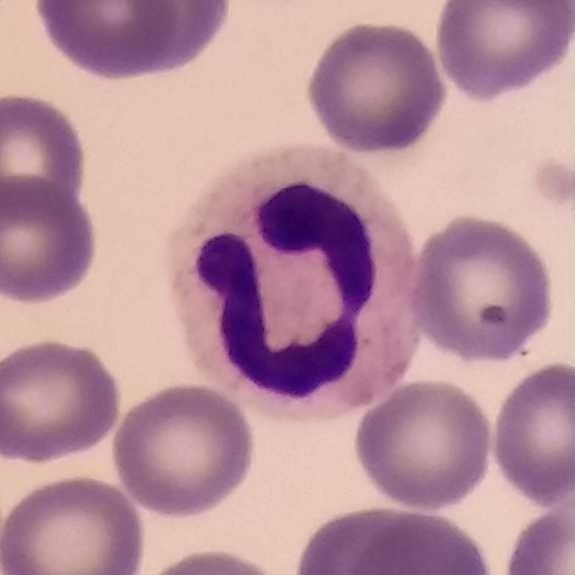

Context: Peripheral blood film. Single white blood cell cropped from the smear photograph. Phone-camera image taken through the microscope ocular.
Morphological class: neutrophil.